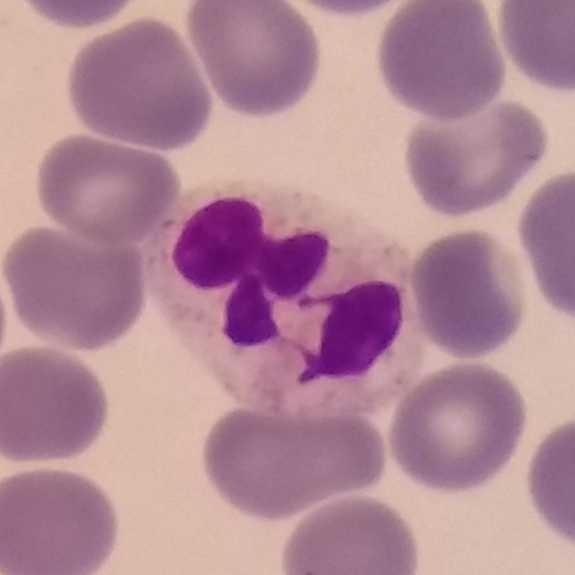Q: Which cell type is shown here?
A: Neutrophil. Peripheral blood smear.